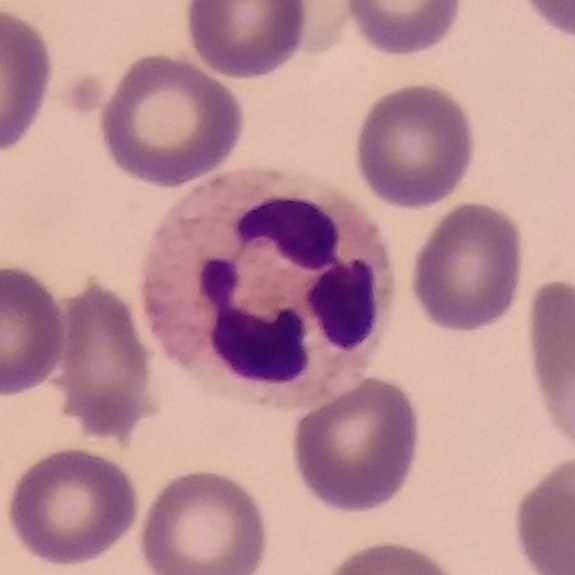
Specimen: peripheral blood film.
White blood cell type: neutrophil granulocyte.
Lineage: myeloid.